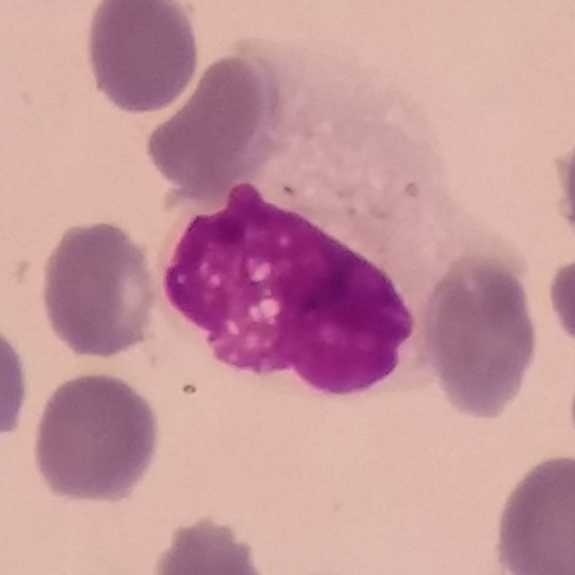Peripheral blood smear.

Morphological class — monocyte.